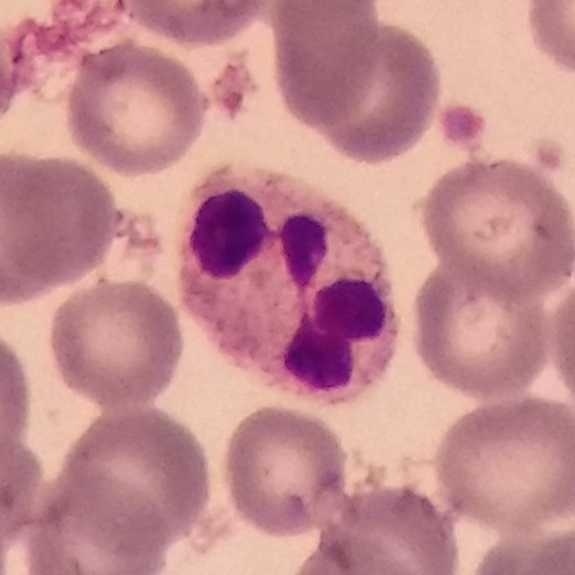

Identified as a neutrophilic granulocyte.
Preparation: Photographed through a light microscope with a smartphone camera. Single-cell crop. Peripheral blood film.